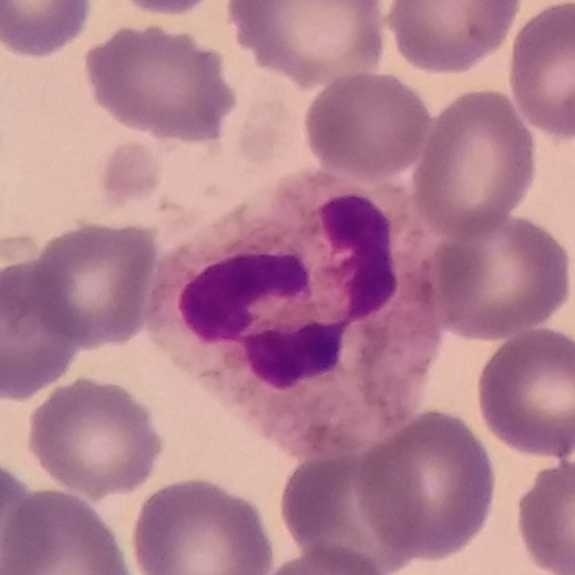Acquisition: Peripheral blood film. Q: What is this?
A: It is a neutrophil granulocyte.